Peripheral blood smear — 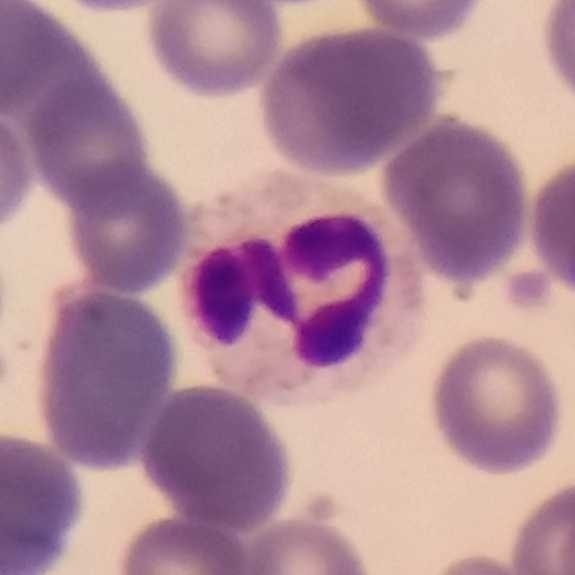
Q: What is shown here?
A: Neutrophilic granulocyte.